Magnification 100× · smartphone photomicrograph · peripheral blood film — 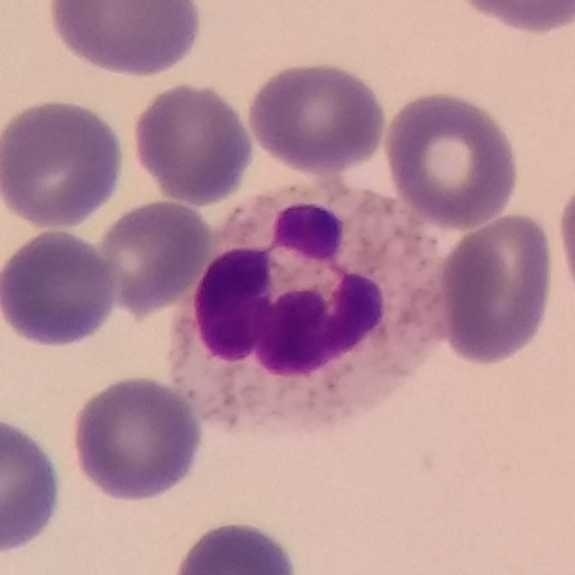

The cell shown is a neutrophil granulocyte.